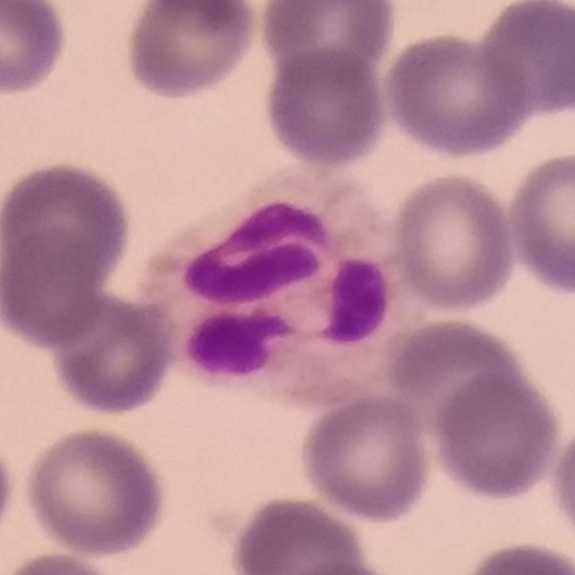Specimen: peripheral blood smear.
White blood cell type: neutrophil.
Lineage: myeloid.